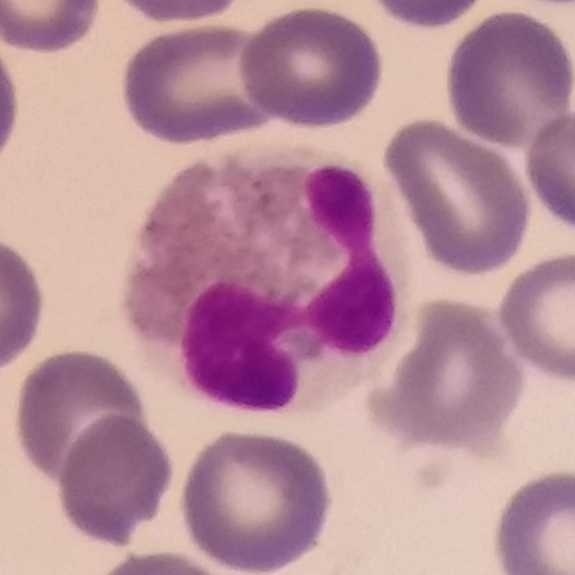

Cell = eosinophilic granulocyte.
Acquisition: Peripheral blood film; Giemsa stain.